Peripheral blood film; Giemsa stain:
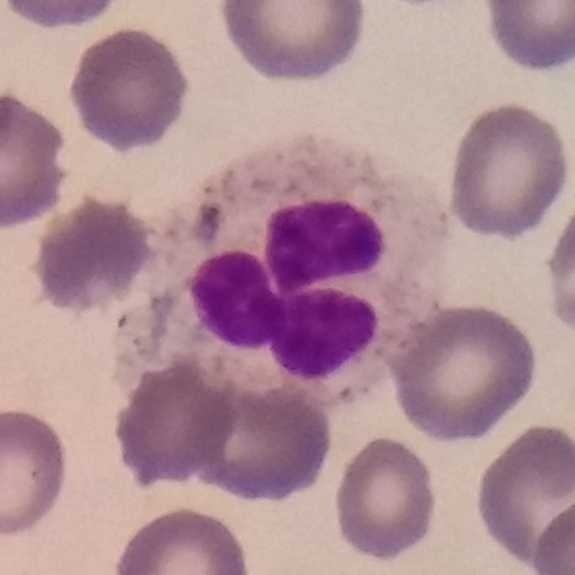
Cell type: neutrophilic granulocyte.